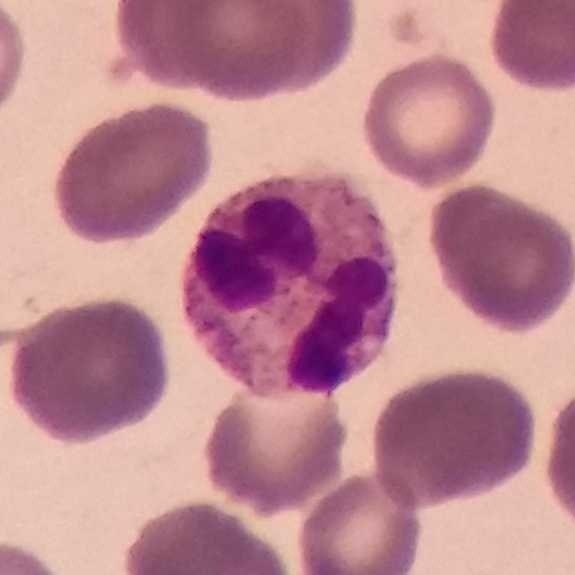

Morphology consistent with a neutrophilic granulocyte.